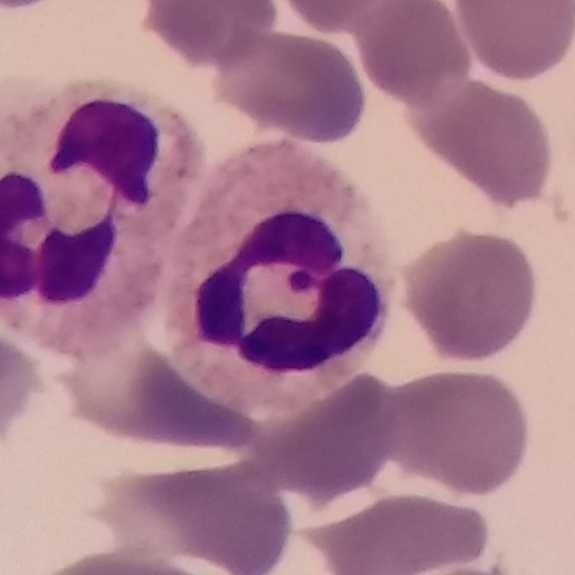

The morphological class is neutrophilic granulocyte.
Context: Peripheral blood film. Magnification 100×.